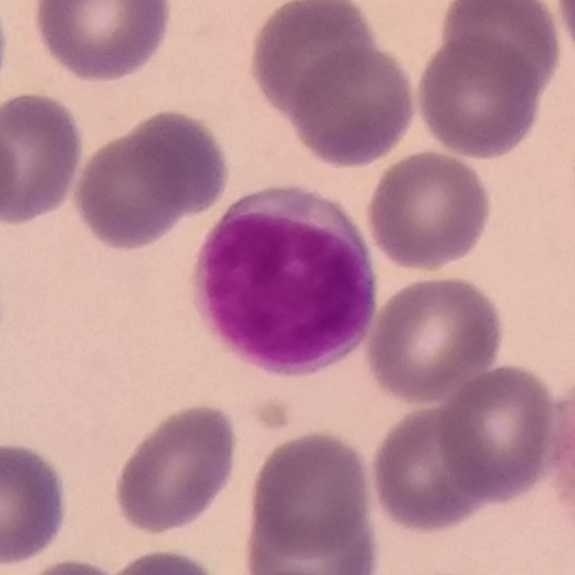
A lymphocyte.